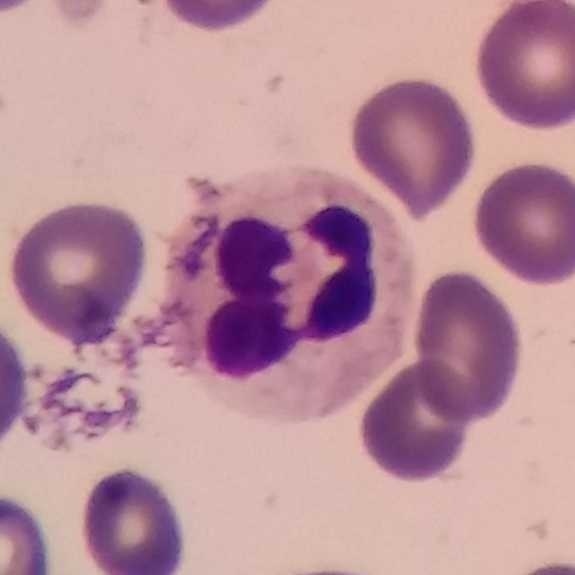Impression — neutrophilic granulocyte.

Peripheral blood film. Single-cell crop.